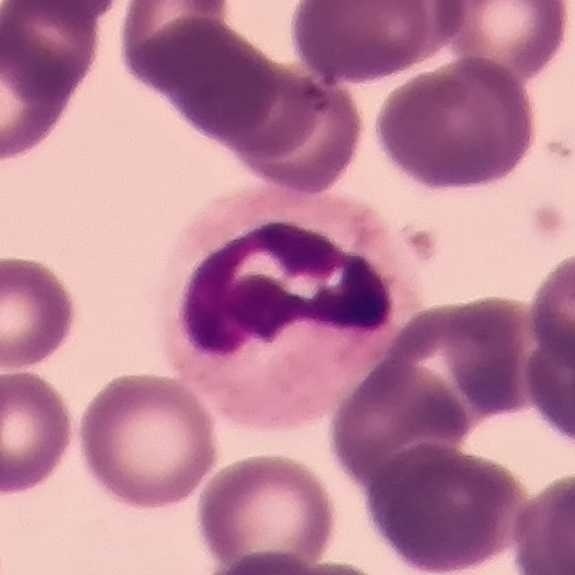 Giemsa stain. Peripheral blood film. Image size 575×575.
{"cell_type": "neutrophilic granulocyte"}